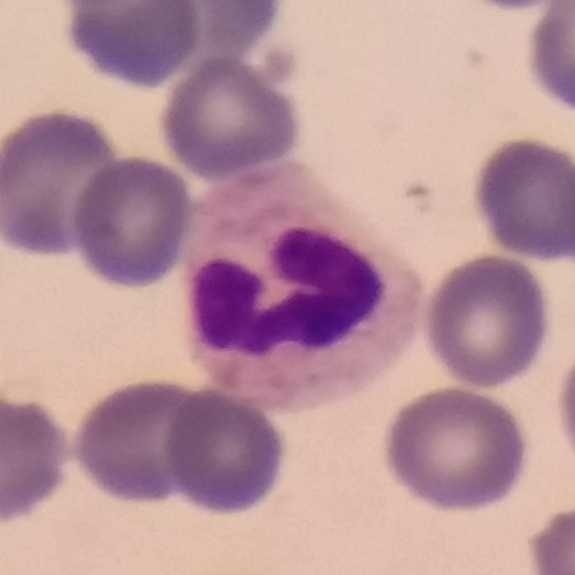

Acquisition: Peripheral blood film.
Classification — neutrophil.